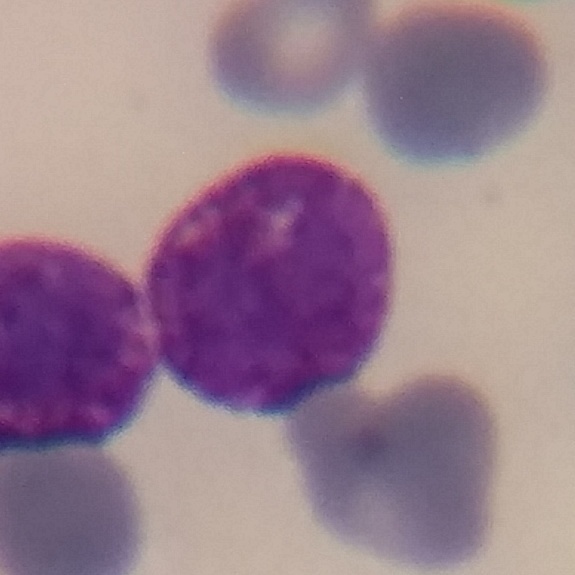 Imaged at 100×.

Specimen: peripheral blood film.
Cell: basophilic granulocyte.